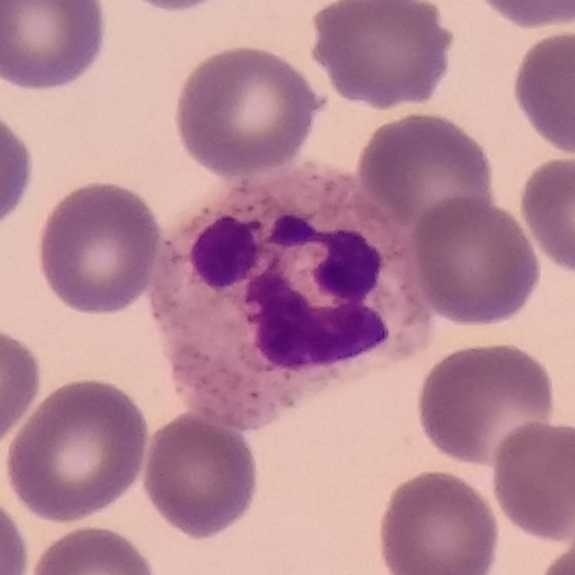 Image: Giemsa stain · peripheral blood smear. Morphology consistent with a neutrophil.